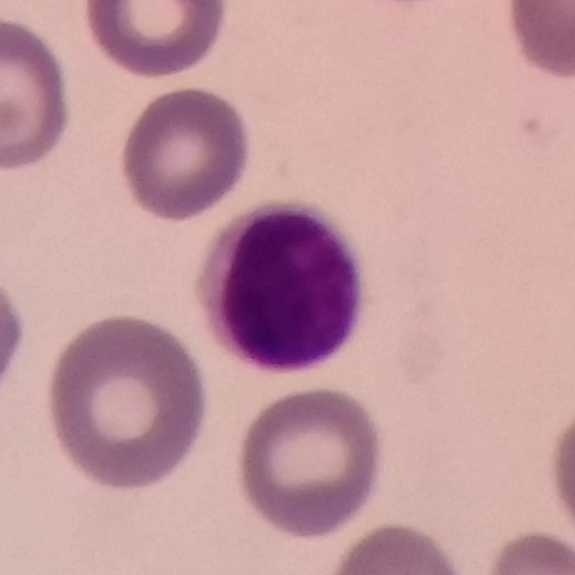

Preparation: Giemsa stain. Peripheral blood film. Smartphone photomicrograph.
Cell: lymphocyte.